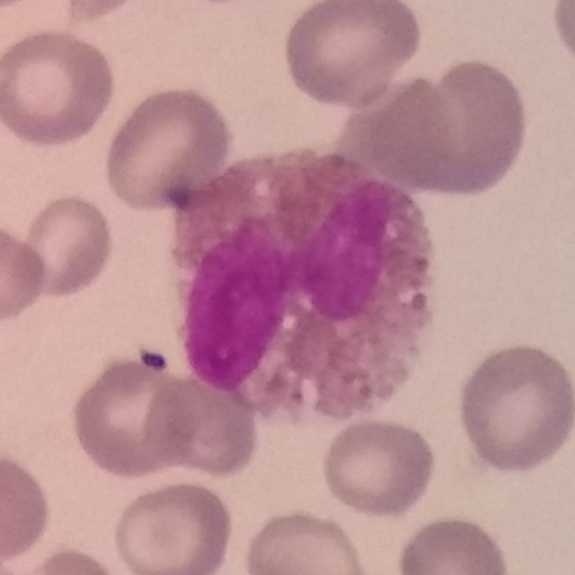Preparation: Giemsa-stained.
Specimen: peripheral blood smear.
Cell: eosinophilic granulocyte.
Lineage: myeloid.